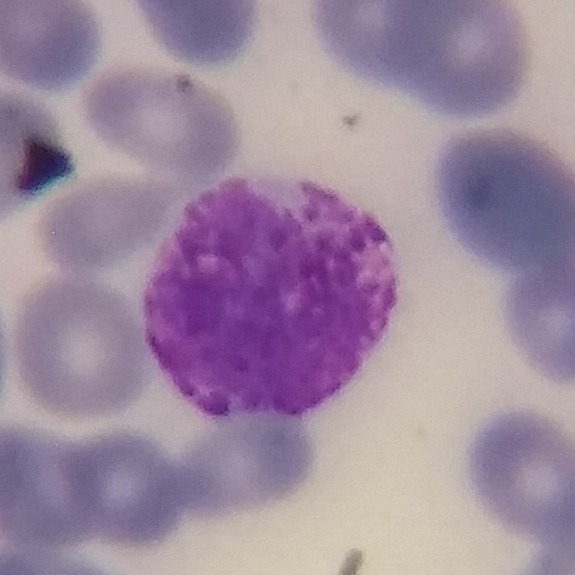
Image size 575×575. Peripheral blood film. Morphology → basophilic granulocyte.